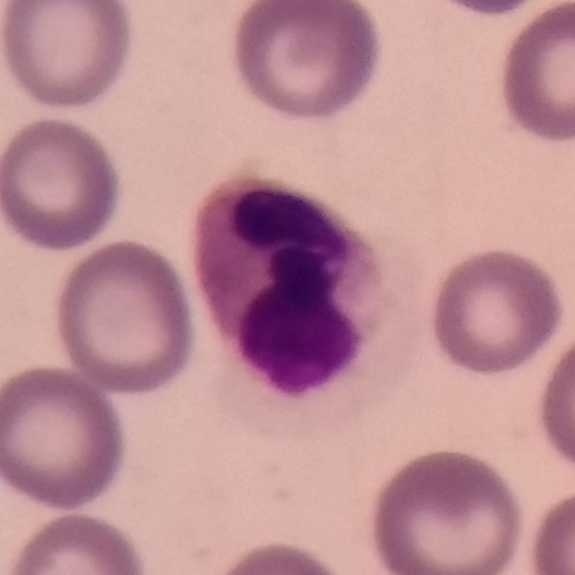Classification: neutrophil granulocyte.